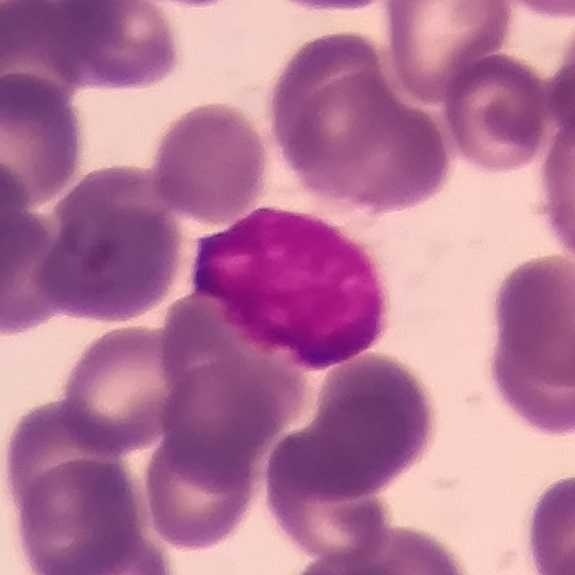
White blood cell type = lymphocyte.